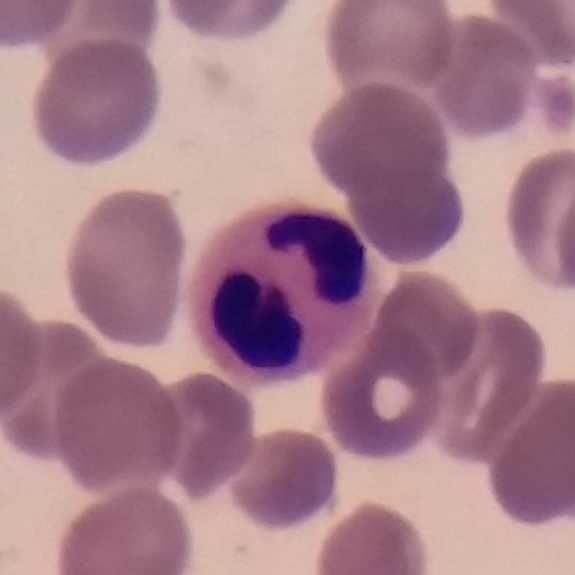 Classification — neutrophil. Peripheral blood smear.